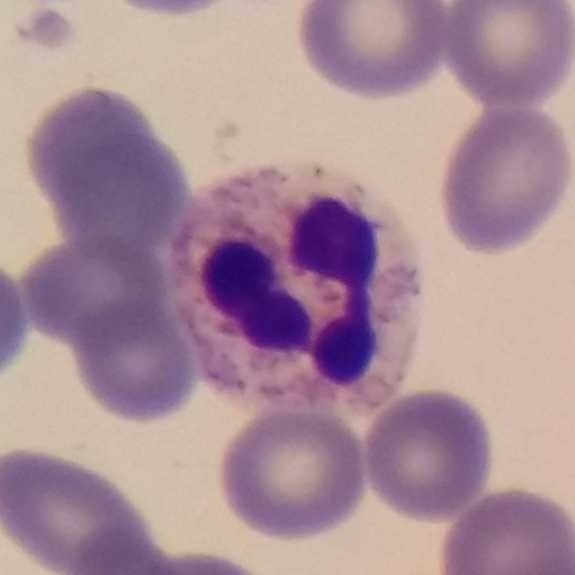

{"cell_type": "neutrophil granulocyte", "lineage": "myeloid"}

Peripheral blood smear; smartphone camera mounted on the microscope eyepiece; stained with Giemsa.